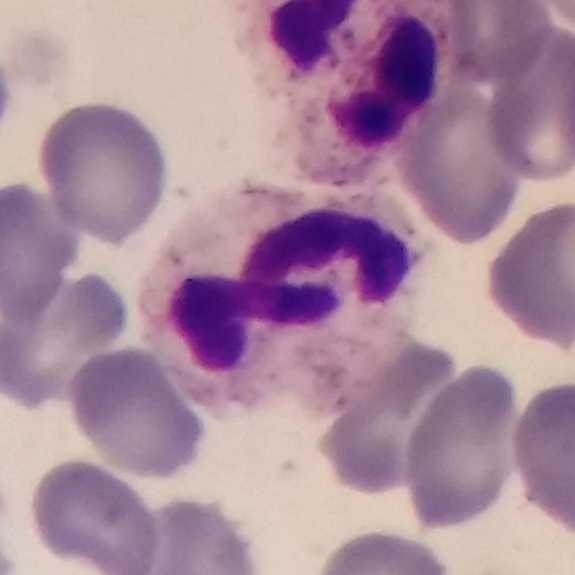 Impression → neutrophilic granulocyte.